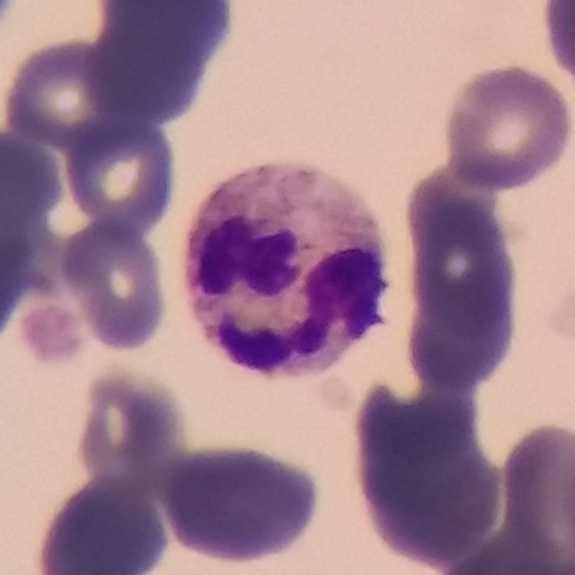

Acquisition: Smartphone camera mounted on the microscope eyepiece · peripheral blood smear.

Q: Which type of white blood cell is this?
A: This is a neutrophilic granulocyte.